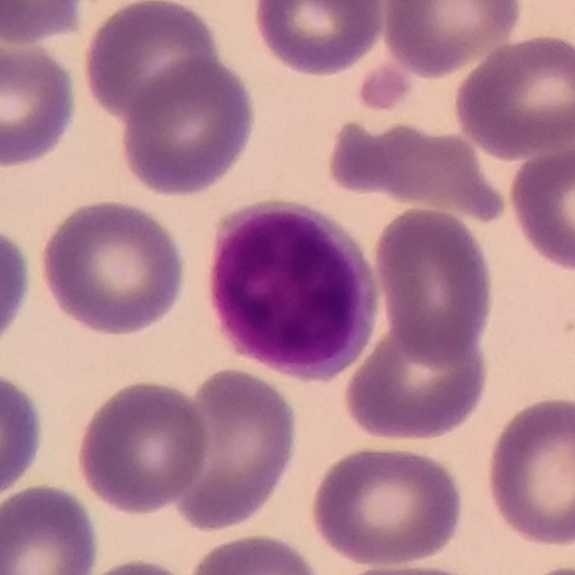
Cell type = lymphocyte. Preparation: 100× magnification; single-cell field; peripheral blood smear.